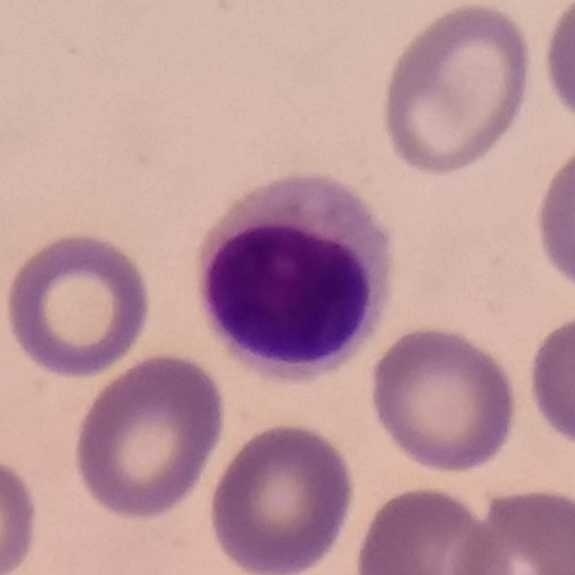 Showing a lymphocyte.

Peripheral blood film.